575×575. Cropped to one leukocyte. Peripheral blood smear: 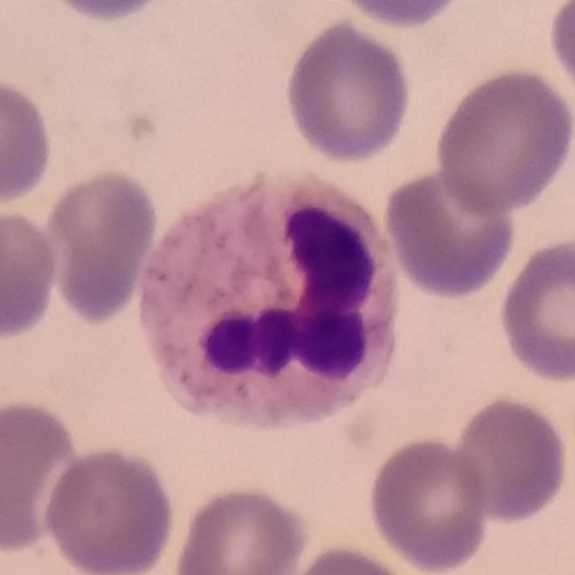

Morphology → neutrophil.